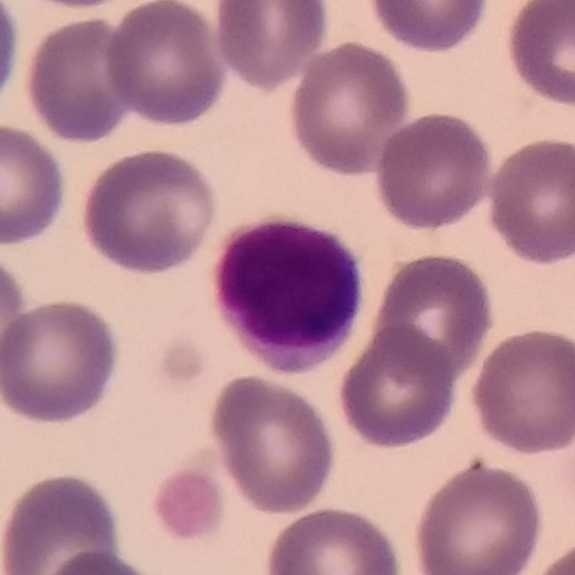
The white blood cell type is lymphocyte.
Preparation: 575×575; magnification 100×; peripheral blood film.